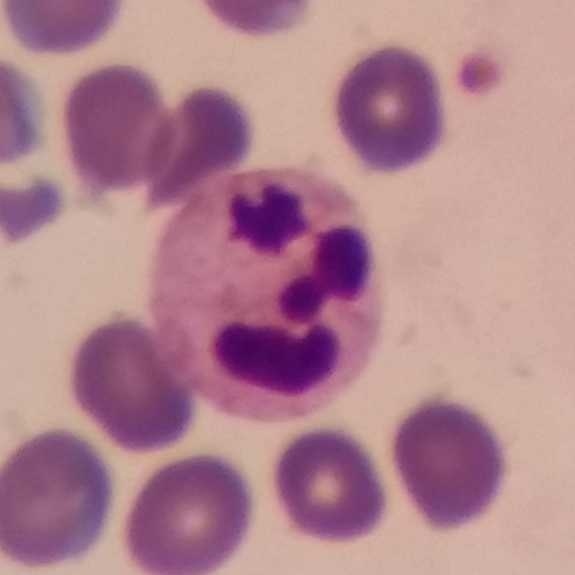 Neutrophil.
Peripheral blood smear.